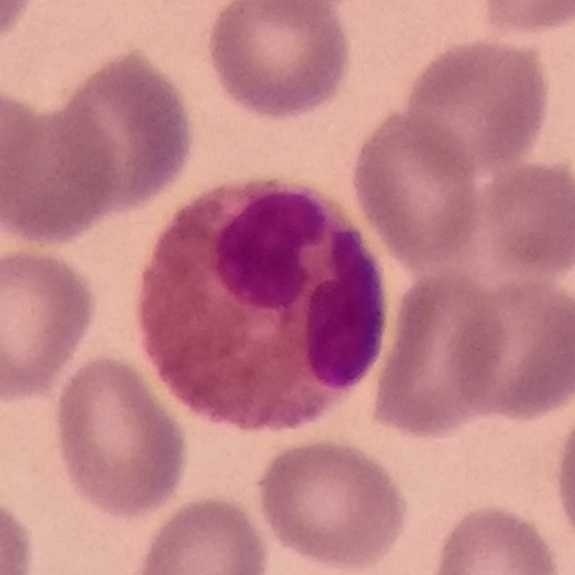Eosinophil.
Image: Peripheral blood film.